Peripheral blood smear — 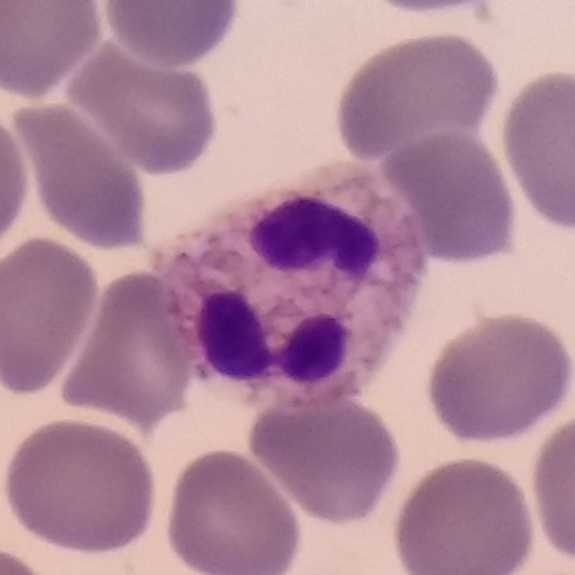This is a neutrophil.